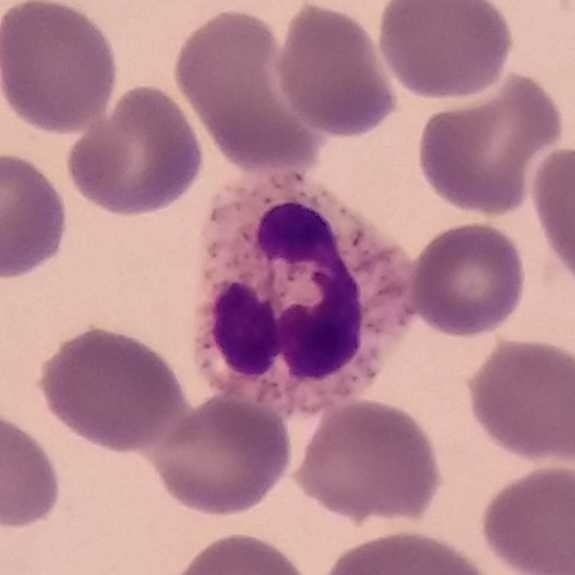
{"cell_type": "neutrophil", "lineage": "myeloid"}